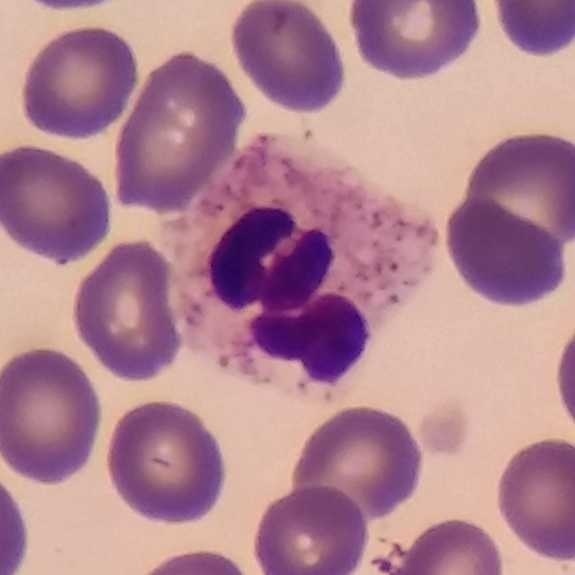
Context: Photographed through a light microscope with a smartphone camera. Imaged at 100×. Peripheral blood film. White blood cell type: neutrophil.